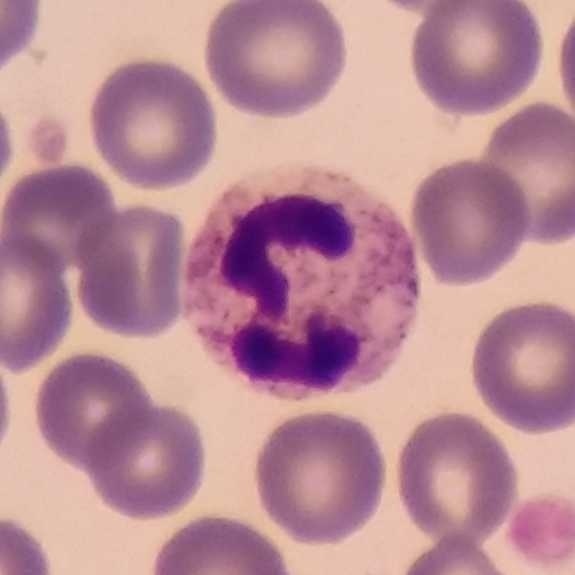
Identified as a neutrophil granulocyte. Context: Peripheral blood smear · image size 575×575.